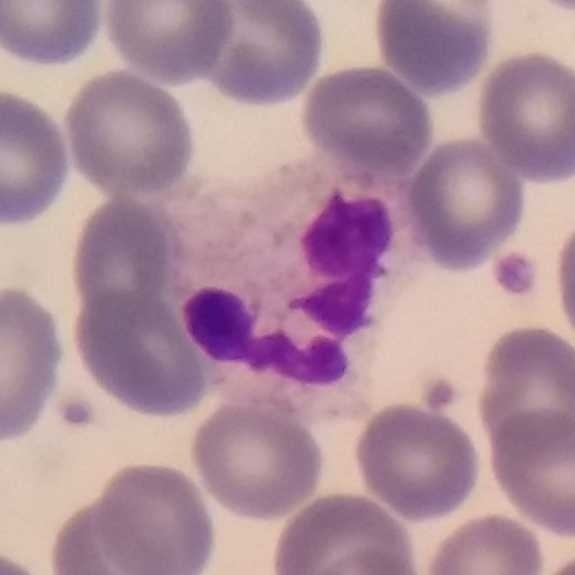The morphological class is neutrophil. Context: Cropped to one leukocyte; peripheral blood smear; 575×575 px.